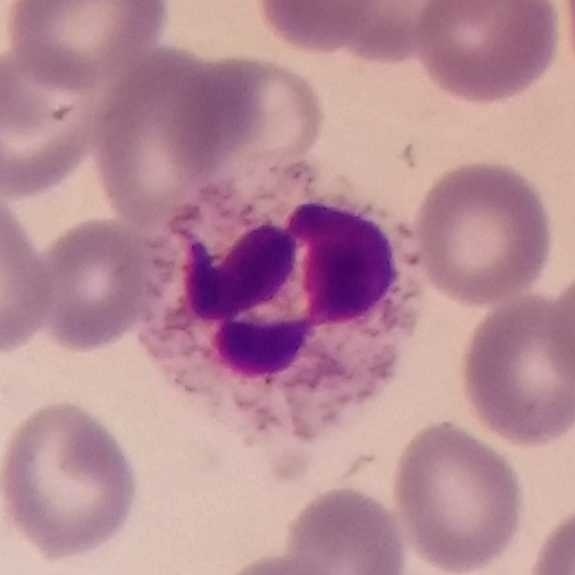 Imaged at 100× · peripheral blood film.
This is a neutrophilic granulocyte.